Stained with Giemsa. Peripheral blood smear.
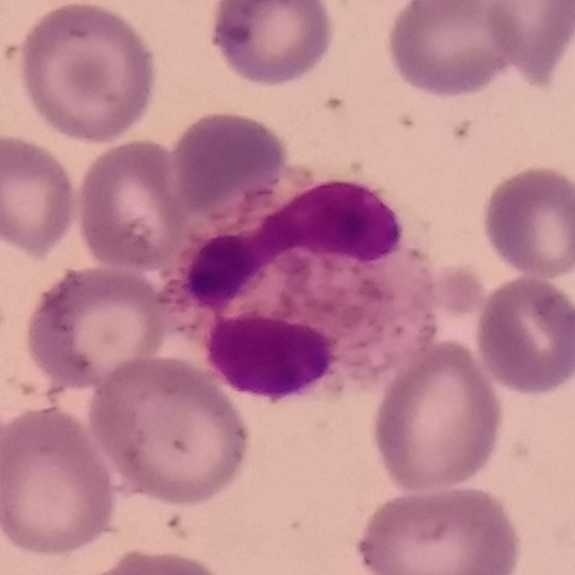
Single cell identified as a neutrophilic granulocyte.